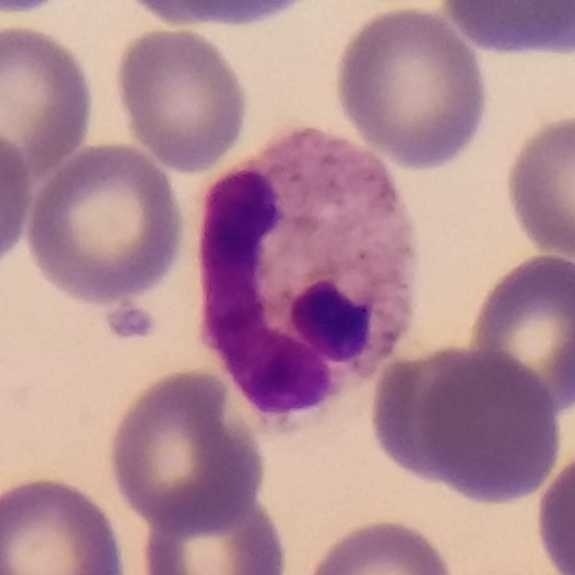

Morphology consistent with an eosinophil. 100× magnification. Giemsa-stained. Peripheral blood smear.